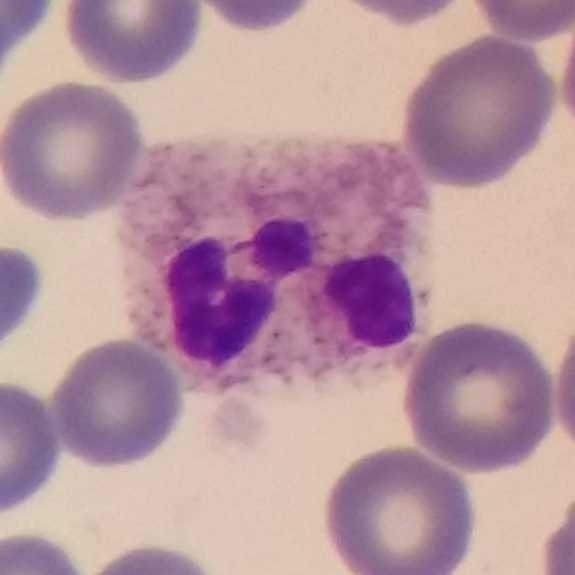
{"cell_type": "neutrophil"}